Peripheral blood film.
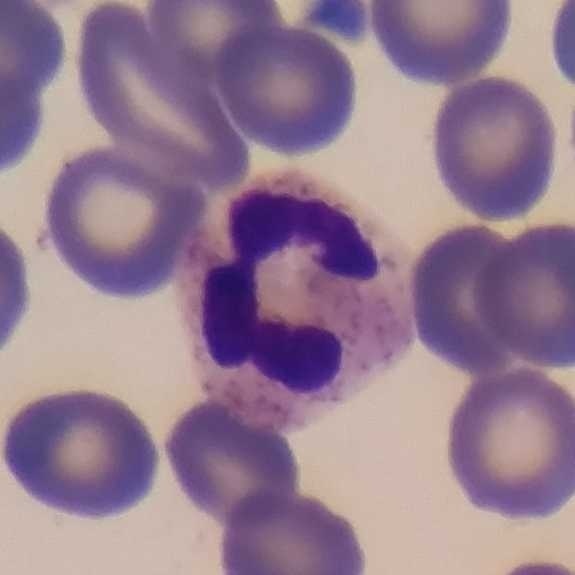
Identified as a neutrophilic granulocyte.